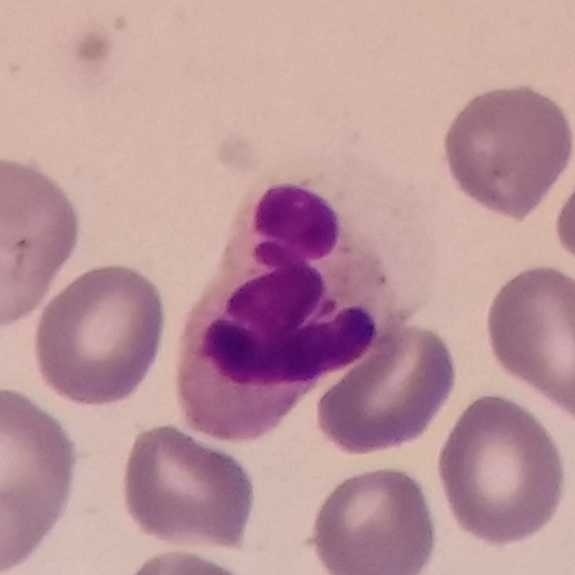 Context: Magnification 100×. Specimen: peripheral blood smear.
Cell type: neutrophil.
Lineage: myeloid.